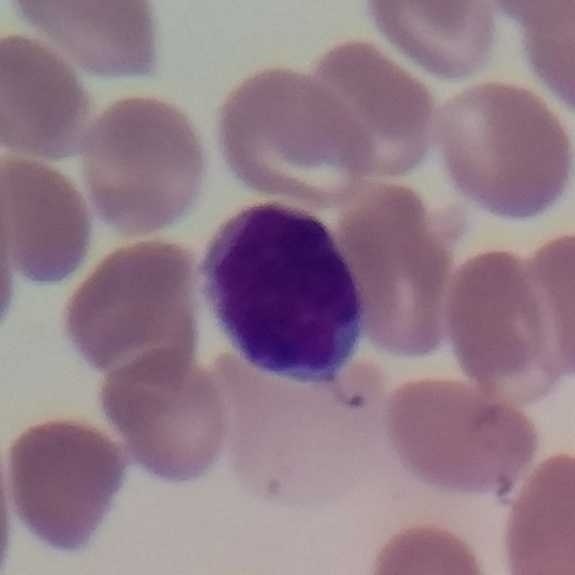 Morphological class: lymphocyte. Context: Peripheral blood smear.